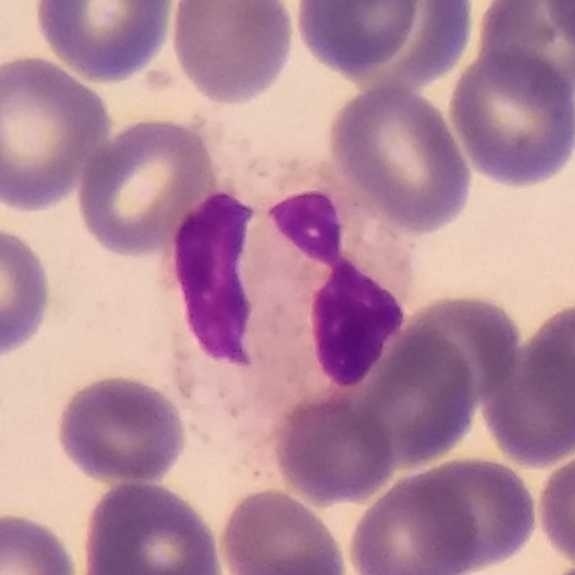 Context: Peripheral blood film.
Morphology → neutrophil granulocyte.